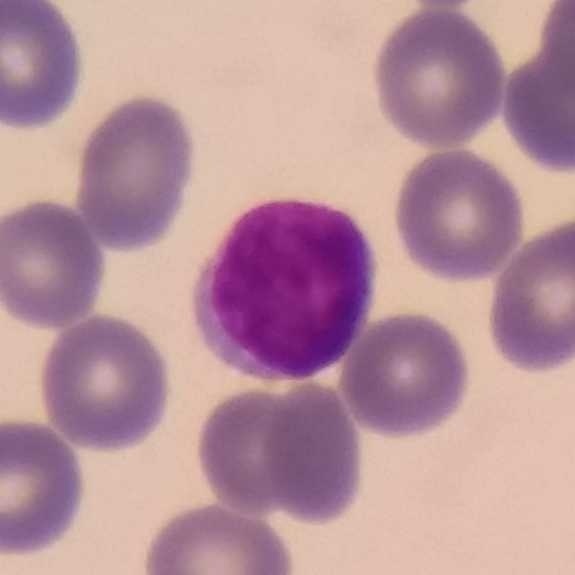Acquisition: Phone-camera image taken through the microscope ocular. Peripheral blood smear. Q: What is the morphological classification of this cell?
A: This is a lymphocyte.